Peripheral blood film
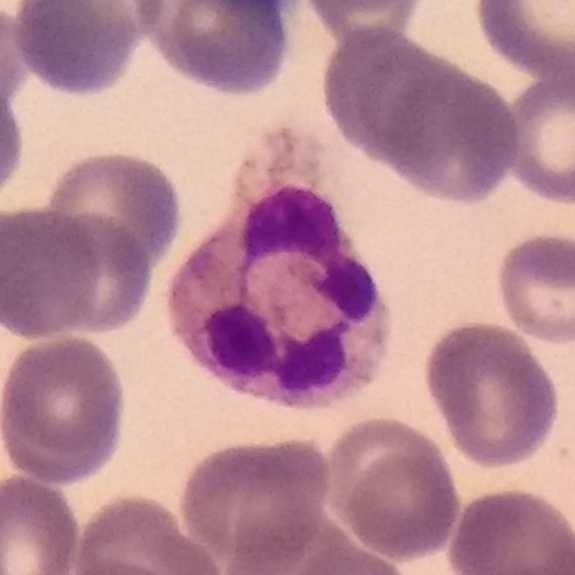 Identified as a neutrophil granulocyte.